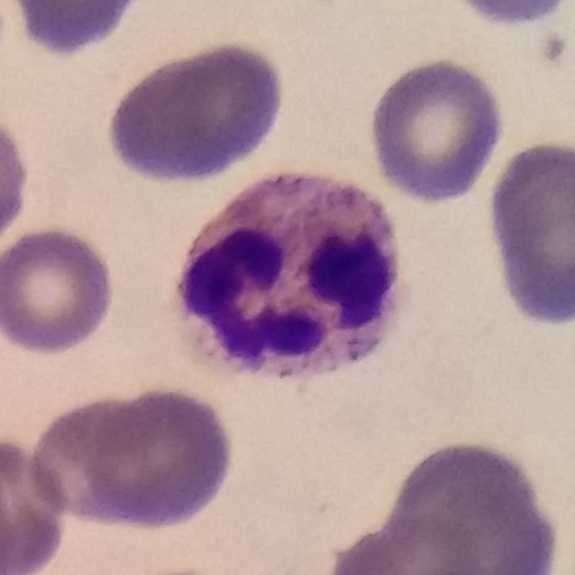
Smartphone photomicrograph · peripheral blood smear. White blood cell type = neutrophil granulocyte.